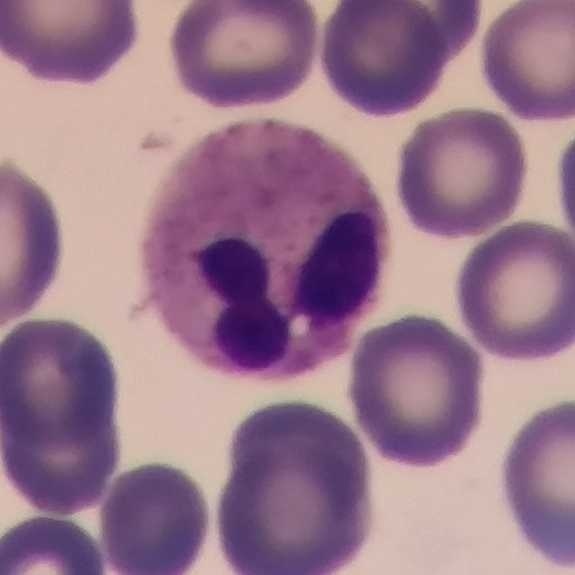
Morphological class = neutrophil. Context: Peripheral blood smear; phone-camera image taken through the microscope ocular; imaged at 100×.